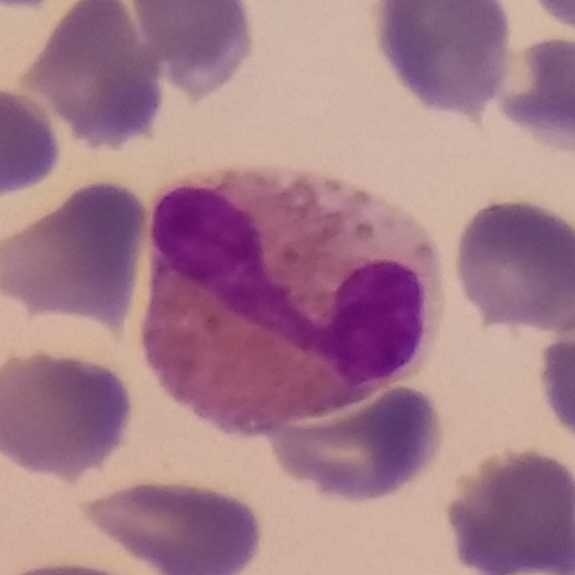
Single cell identified as an eosinophilic granulocyte.